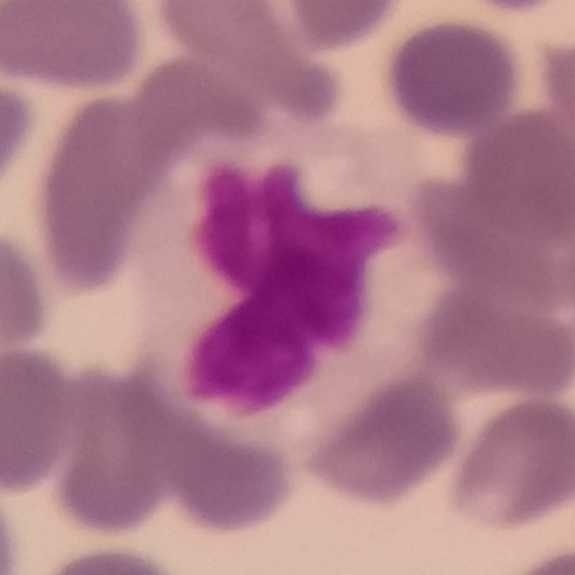
Cell type — monocyte. Peripheral blood film; photographed through a light microscope with a smartphone camera.